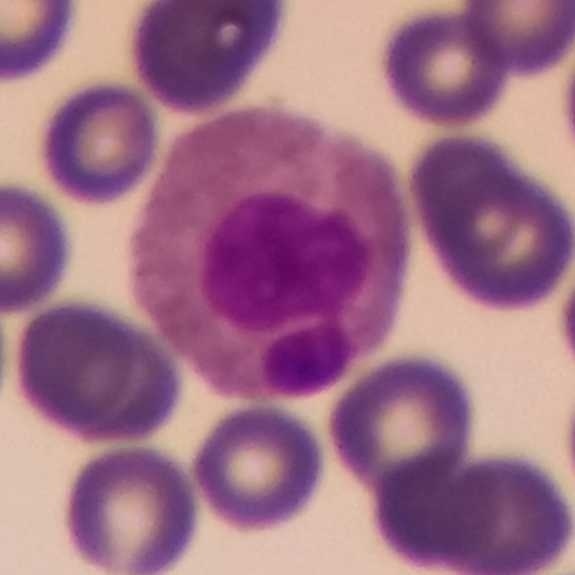 Morphology consistent with an eosinophilic granulocyte.